Imaged at 100×; peripheral blood film; smartphone camera mounted on the microscope eyepiece
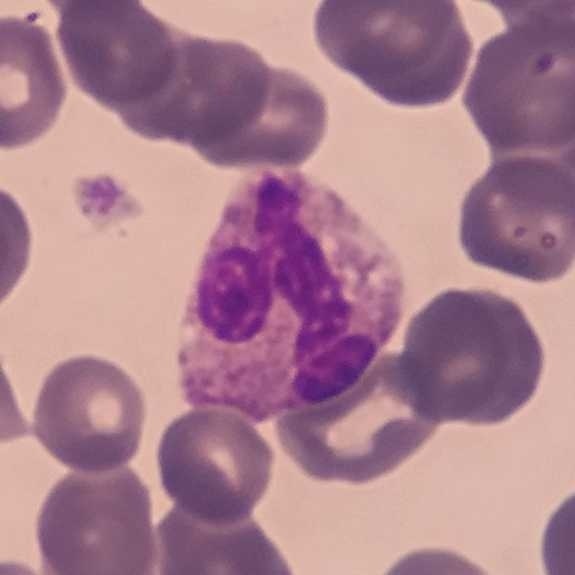
Q: What cell is this?
A: This is a neutrophil granulocyte.